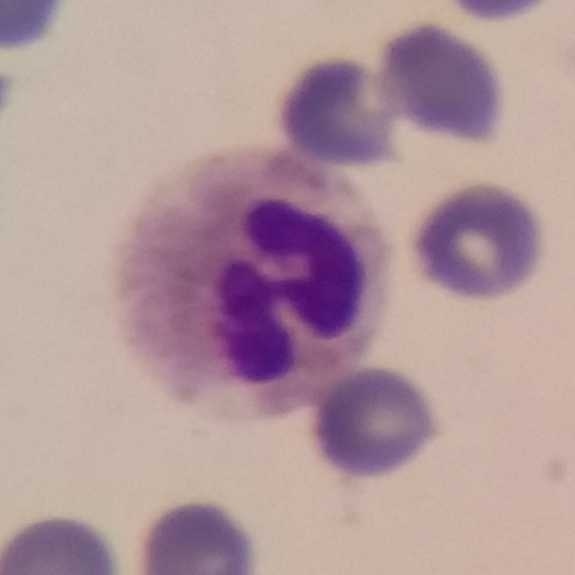

Image: Phone-camera image taken through the microscope ocular.
Specimen: peripheral blood film.
Classification: neutrophil.
Lineage: myeloid.